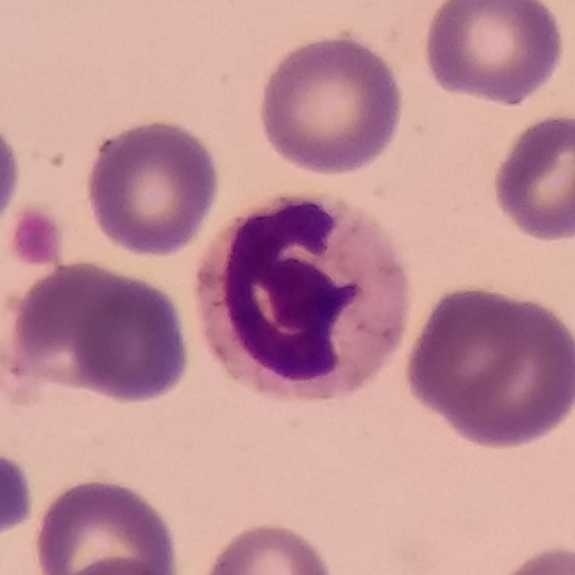

A neutrophilic granulocyte.